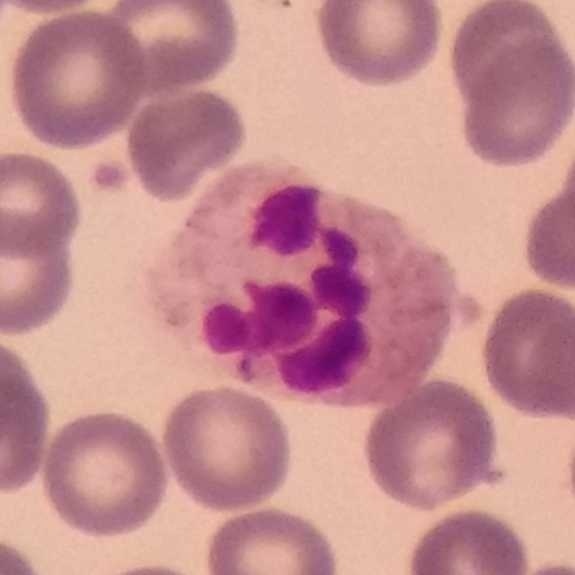Q: Classify this leukocyte.
A: A neutrophil. Peripheral blood smear.